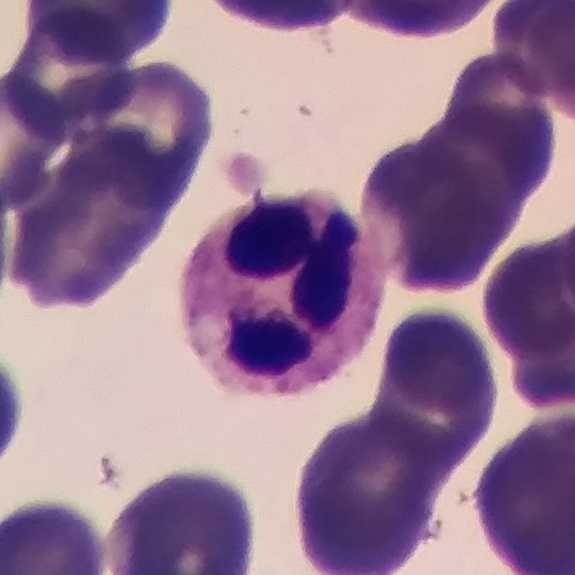

Specimen: peripheral blood smear.
Morphological class: neutrophil granulocyte.
Lineage: myeloid.